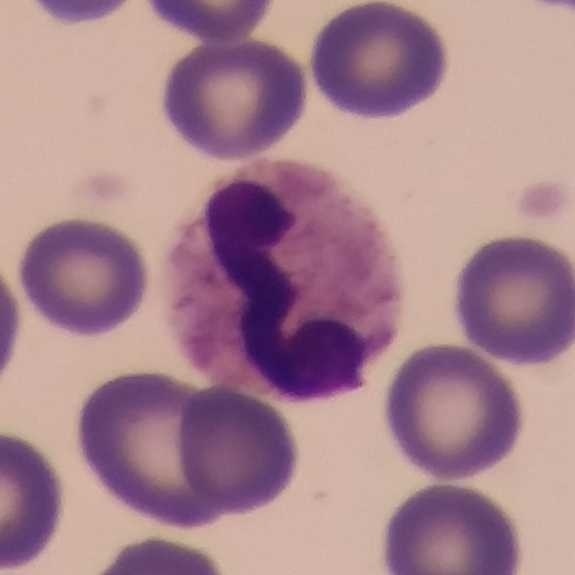

Image: Magnification 100×; image size 575×575; peripheral blood film.
Impression — neutrophilic granulocyte.